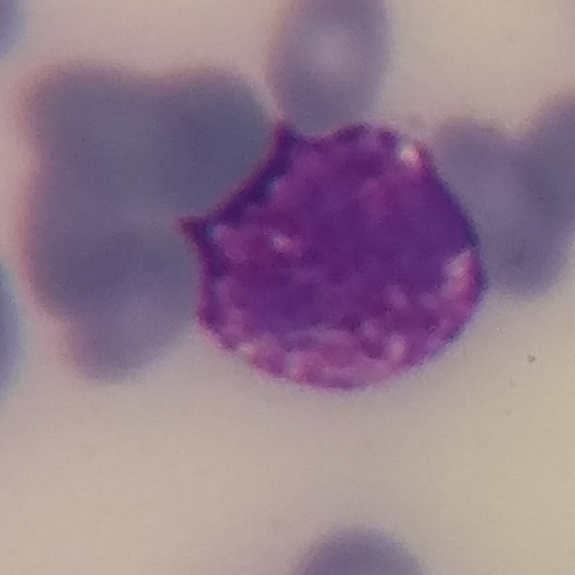
White blood cell type — basophilic granulocyte.

Peripheral blood film.